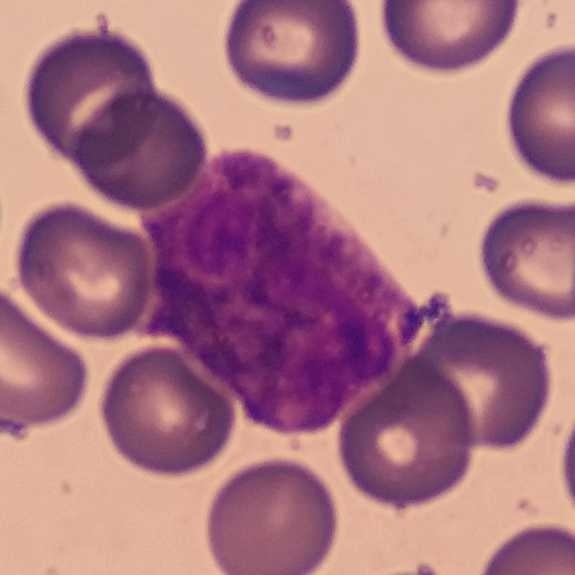Morphology — neutrophilic granulocyte.
Peripheral blood smear.